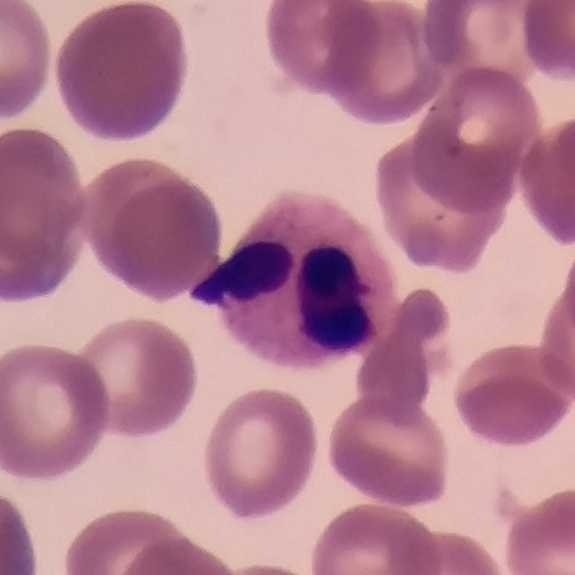Single-cell crop from a peripheral blood smear: neutrophilic granulocyte.